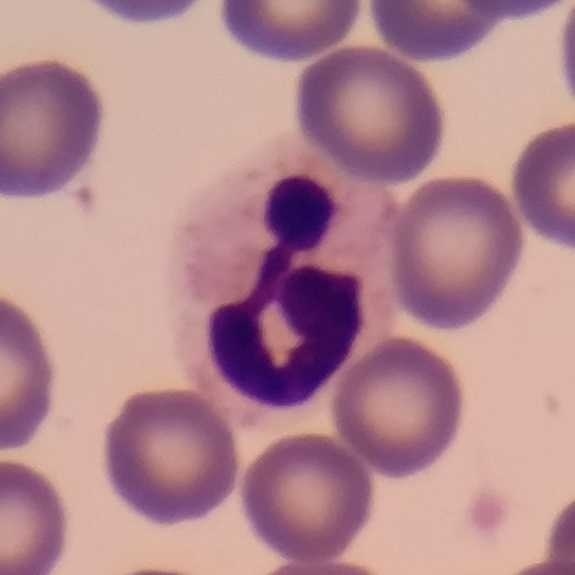Q: Classify this leukocyte.
A: This is a neutrophil granulocyte.